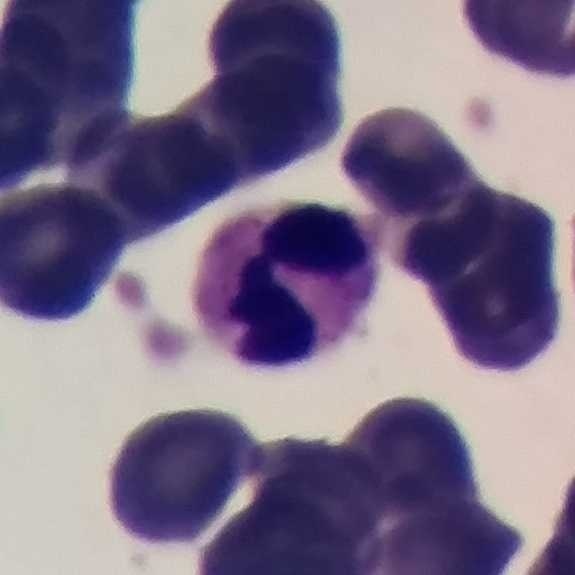 Q: What cell is this?
A: A neutrophil. Acquisition: Peripheral blood smear.